Peripheral blood smear
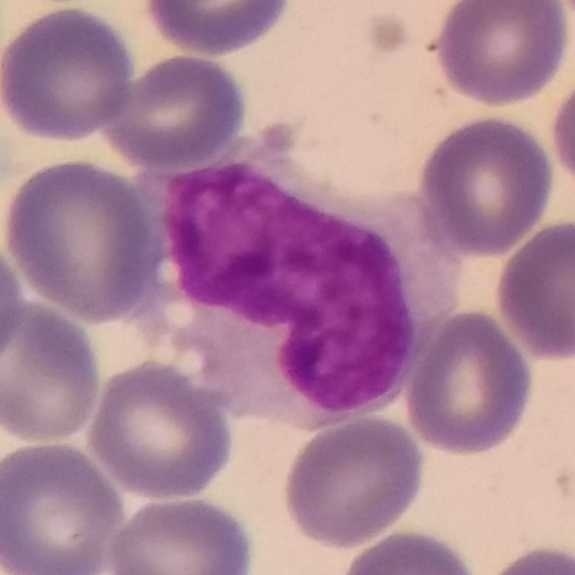

Showing a monocyte.